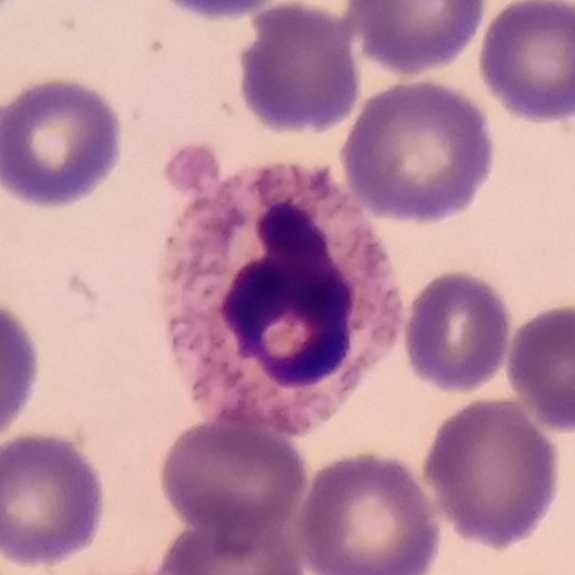

Specimen: peripheral blood smear.
Cell type: neutrophilic granulocyte.
Lineage: myeloid.